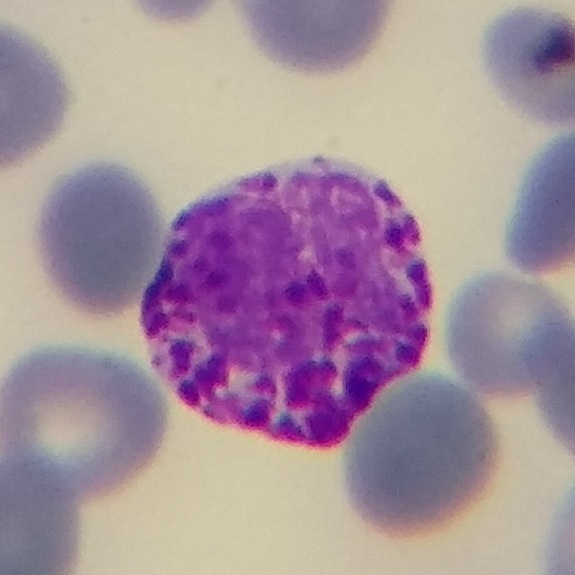 575 by 575 pixels · peripheral blood smear. This is a basophil.